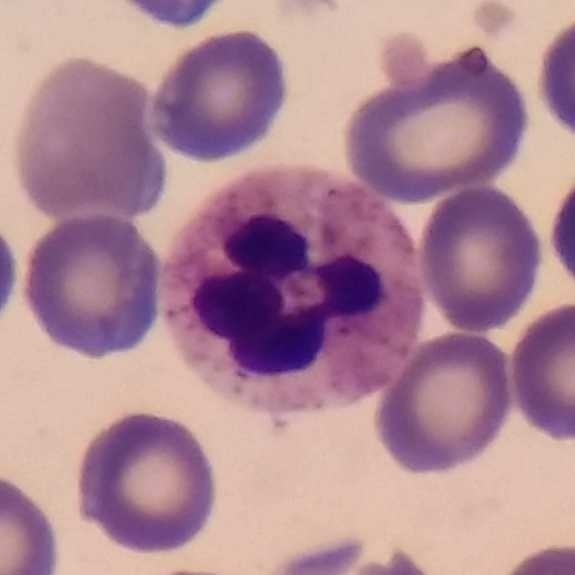

Specimen: peripheral blood film.
Cell type: neutrophil granulocyte.